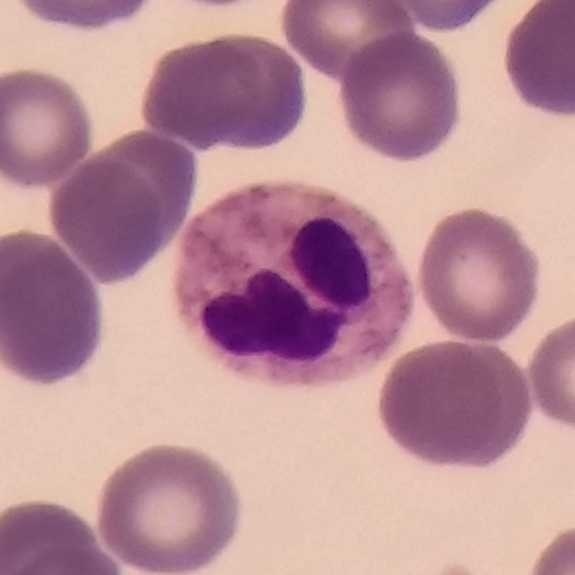

Image: Peripheral blood smear.

The cell shown is a neutrophil granulocyte.